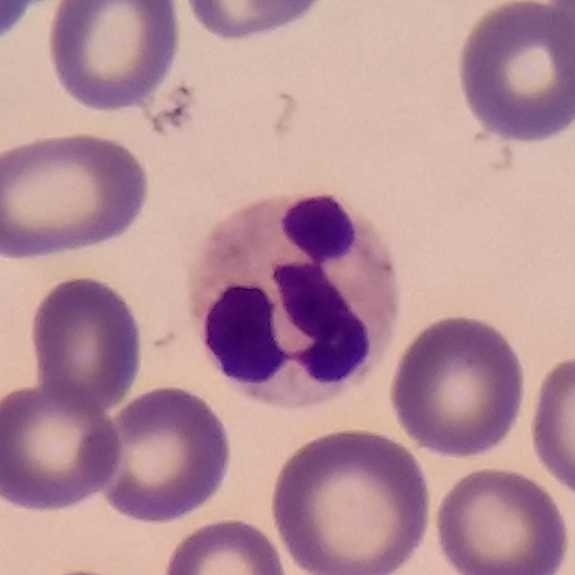Morphology — neutrophil granulocyte.
Preparation: Smartphone photomicrograph; peripheral blood smear.